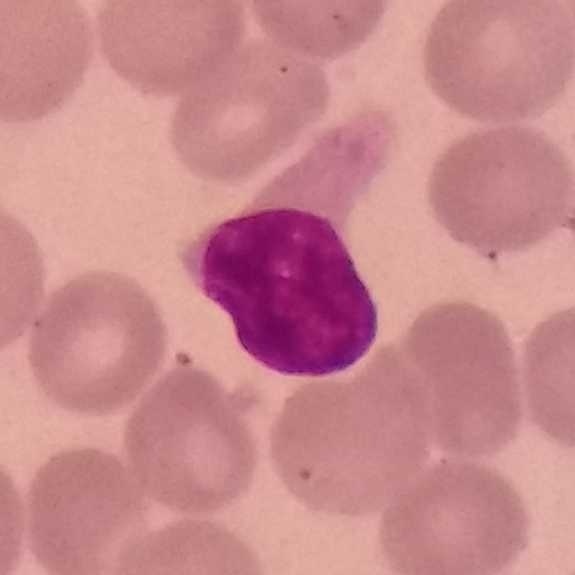The cell is lymphocyte.